Peripheral blood smear. Cropped to one leukocyte:
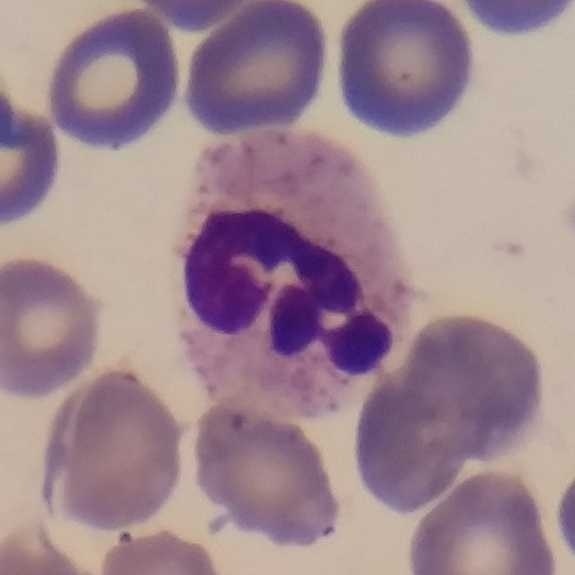Specimen: peripheral blood film.
Classification: neutrophil granulocyte.
Lineage: myeloid.